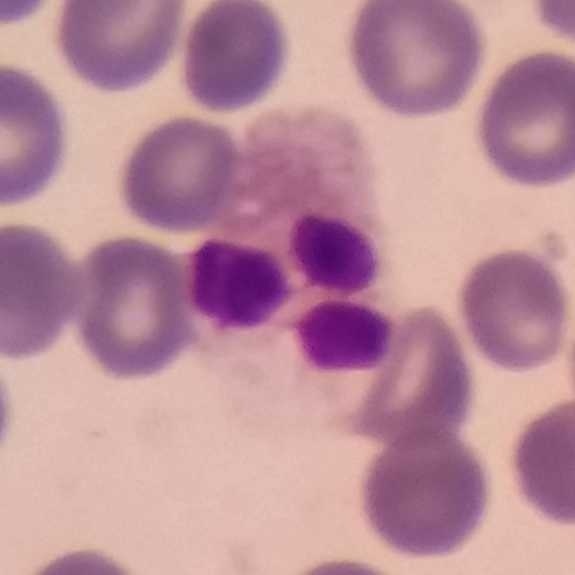 The white blood cell in this image is a neutrophil. Preparation: Magnification 100×; peripheral blood film.